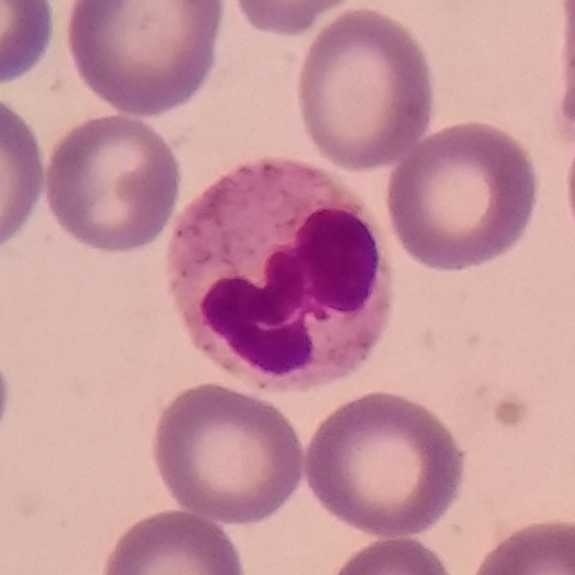 The white blood cell in this image is a neutrophil.